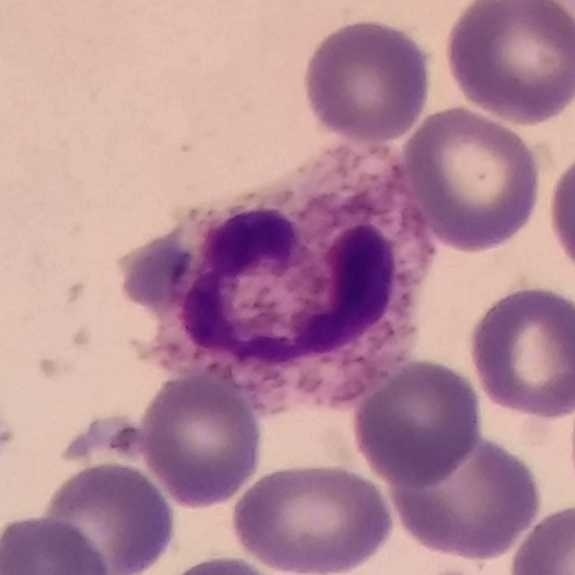
Neutrophil.

Context: Peripheral blood smear.